Peripheral blood film · Giemsa stain · cropped to one leukocyte — 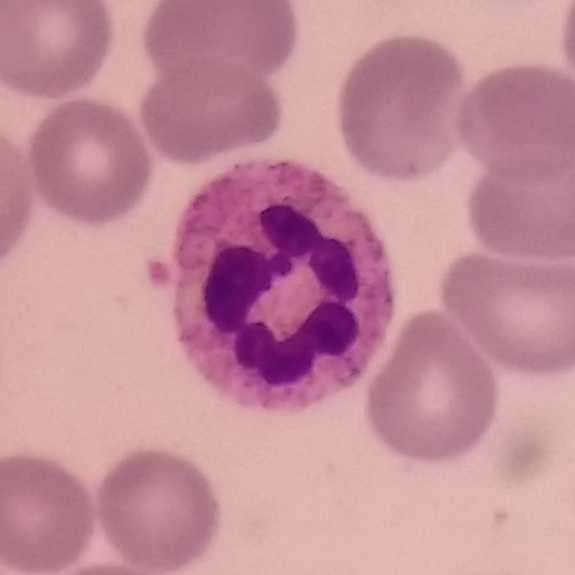

The white blood cell type is neutrophil granulocyte.